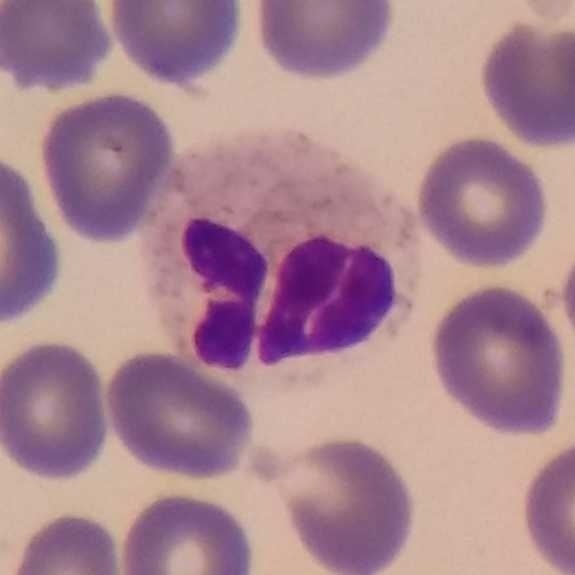
Context: Peripheral blood film. Imaged at 100×. The cell is neutrophil.